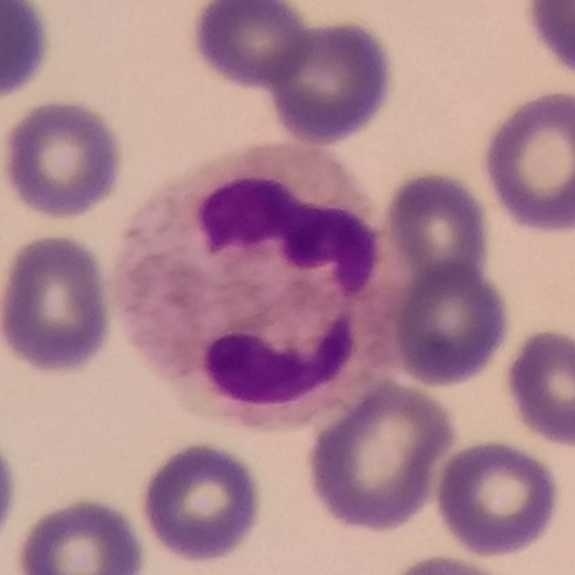
Specimen: peripheral blood film.
Cell: neutrophil granulocyte.